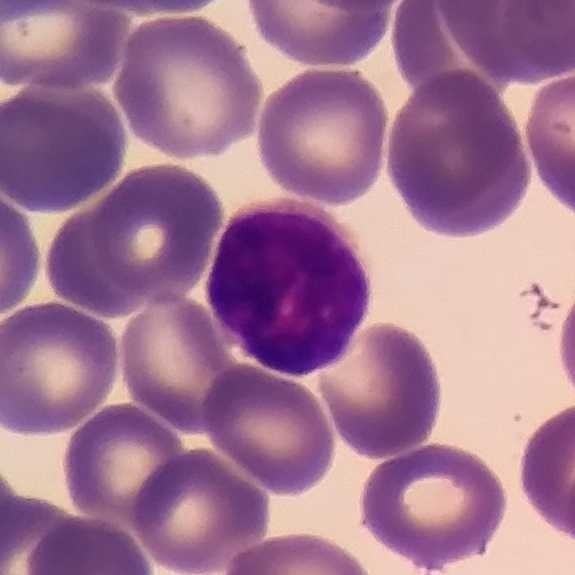

Image: Peripheral blood smear.

Impression → lymphocyte.